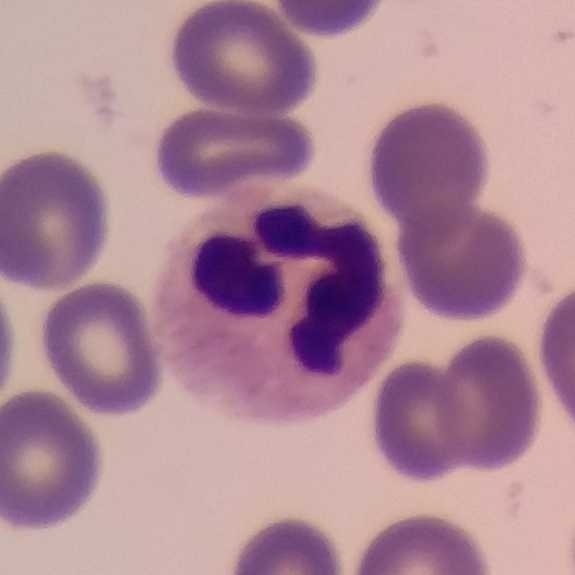 The white blood cell type is neutrophil granulocyte.